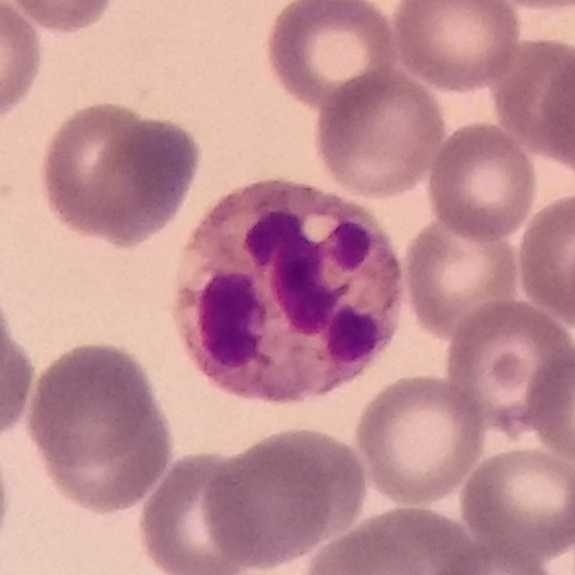Neutrophil.
Context: Peripheral blood smear.